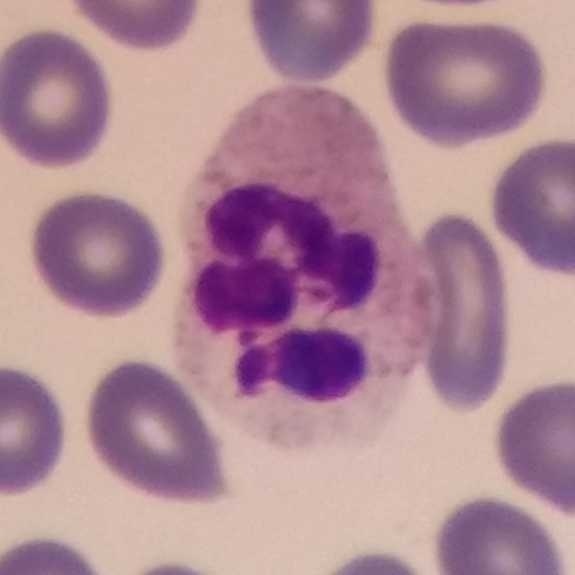

Classification: neutrophilic granulocyte. Peripheral blood smear.